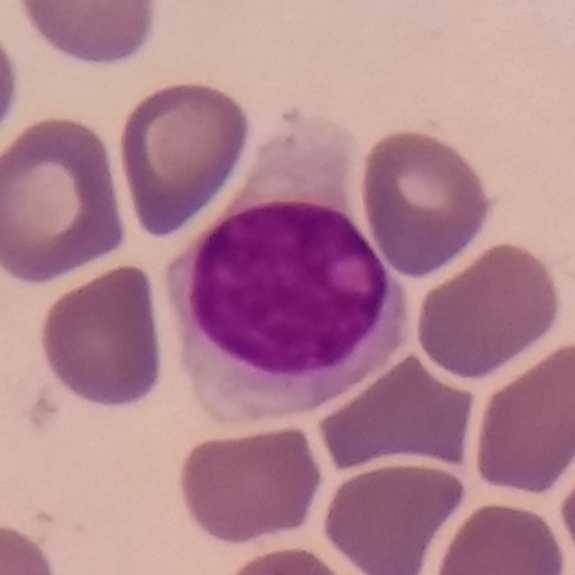 Acquisition: 575 by 575 pixels; peripheral blood film.

{"cell_type": "lymphocyte"}